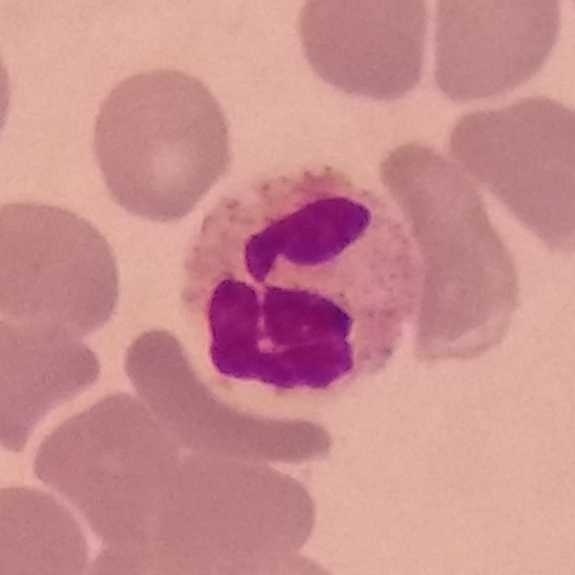
Context: Peripheral blood film. Cell = neutrophil.